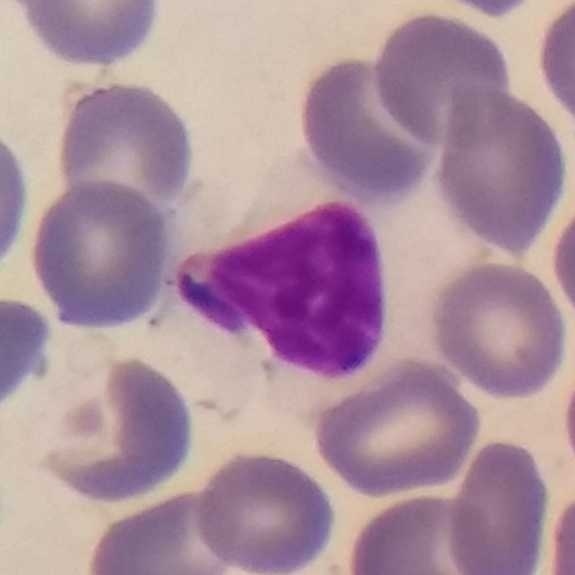 Morphological class = lymphocyte.
Preparation: Peripheral blood film.